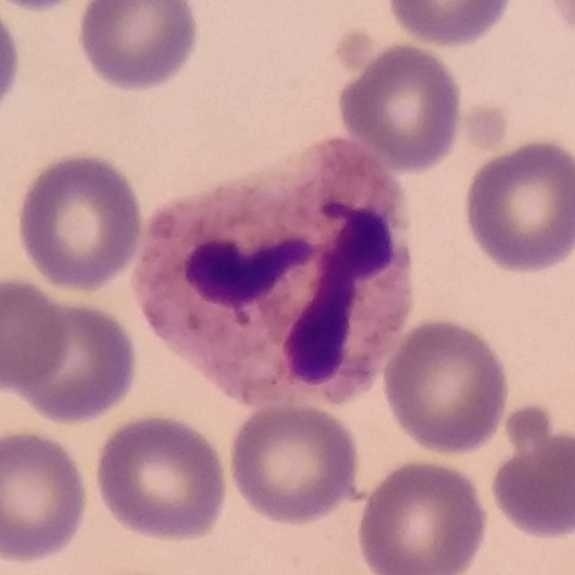
Impression — neutrophil.